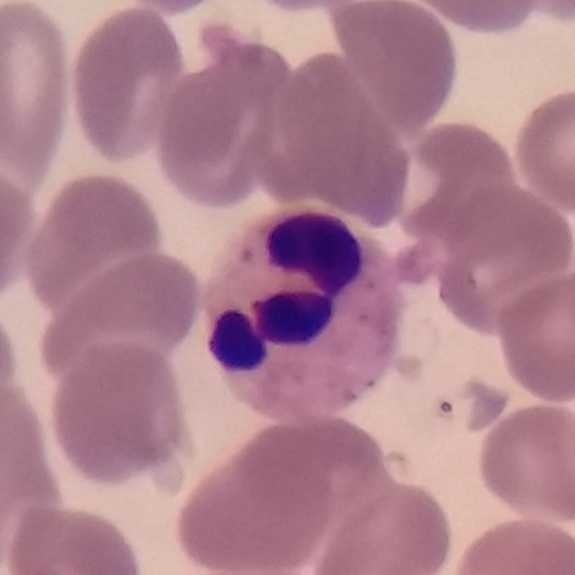
The cell shown is a neutrophil granulocyte.